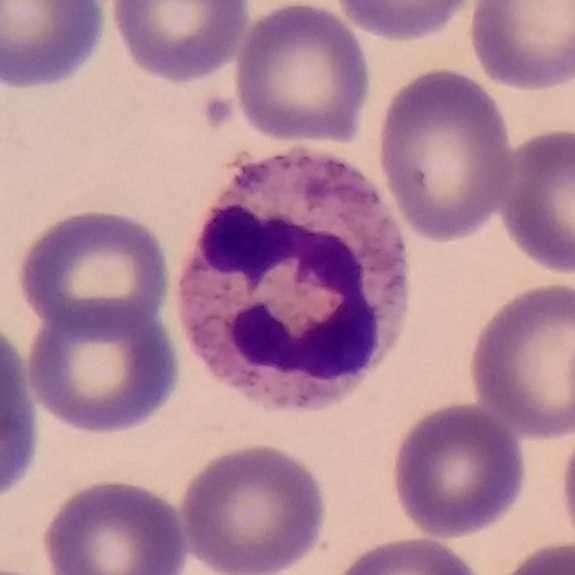 Specimen: peripheral blood film.
Cell type: neutrophil granulocyte.